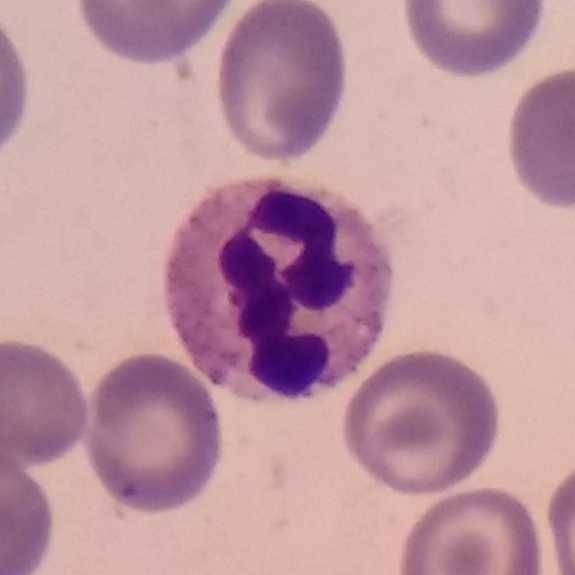
Morphology consistent with a neutrophil granulocyte.
Image: Peripheral blood film.